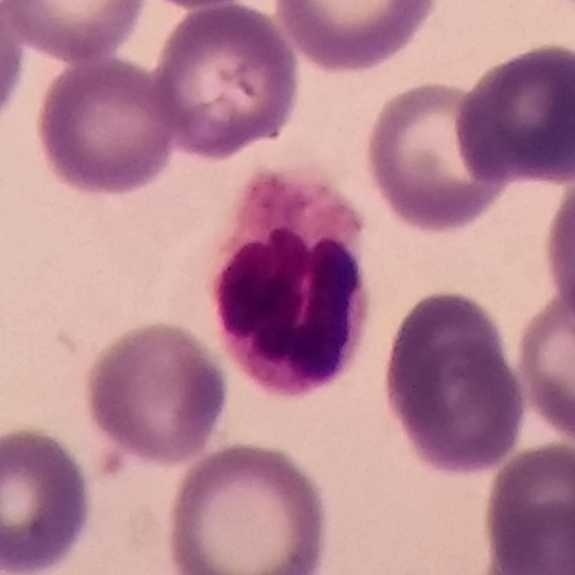
Cell type — neutrophilic granulocyte.

Context: Peripheral blood smear.